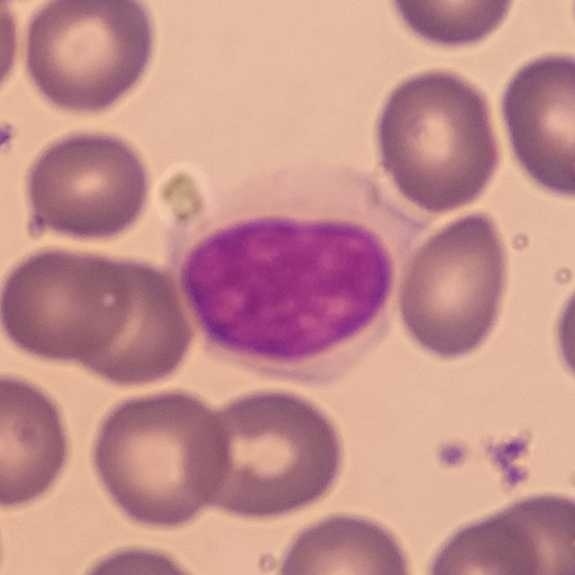Peripheral blood film. The white blood cell in this image is a lymphocyte.